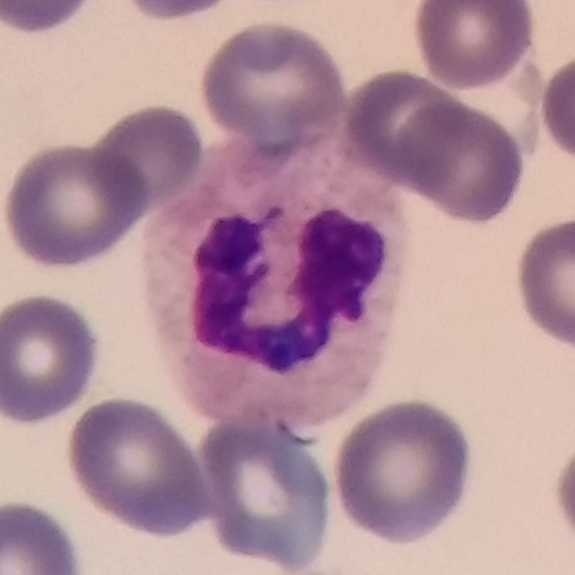 Peripheral blood film; 575 by 575 pixels.

The cell shown is a neutrophil.